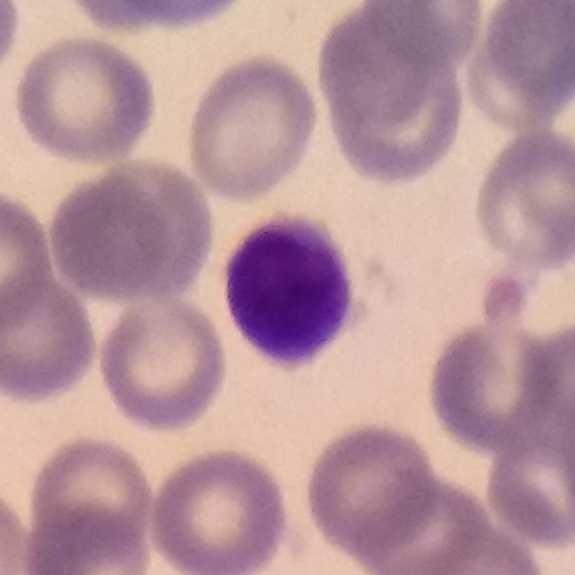
Specimen: peripheral blood smear.
Morphological class: lymphocyte.
Lineage: lymphoid.